Single white blood cell cropped from the smear photograph · peripheral blood smear · magnification 100×.
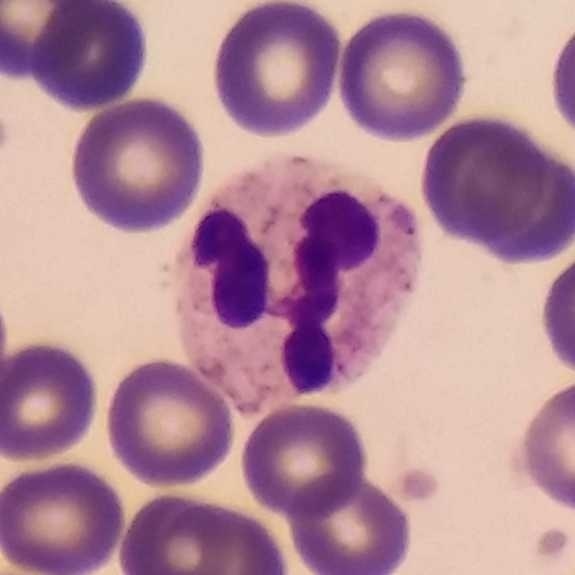 {"cell_type": "neutrophil", "lineage": "myeloid"}